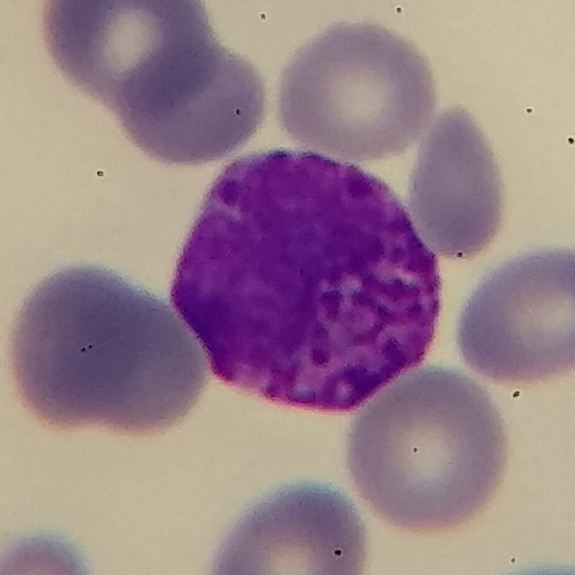

White blood cell from a peripheral blood smear: basophilic granulocyte.